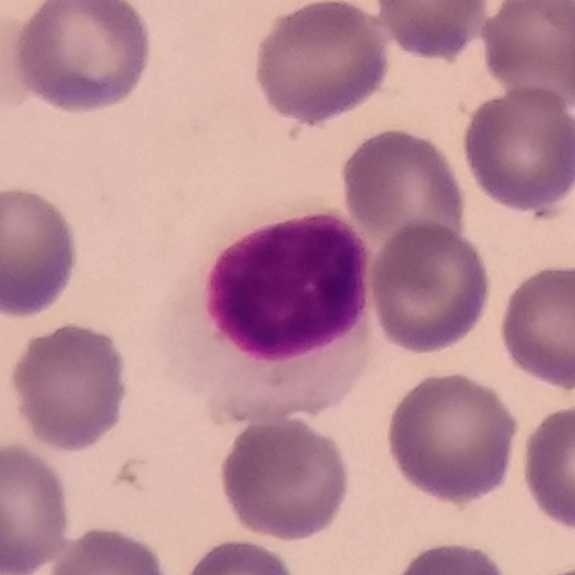 Identified as a lymphocyte.
Image: Single white blood cell cropped from the smear photograph · Giemsa stain · peripheral blood film.